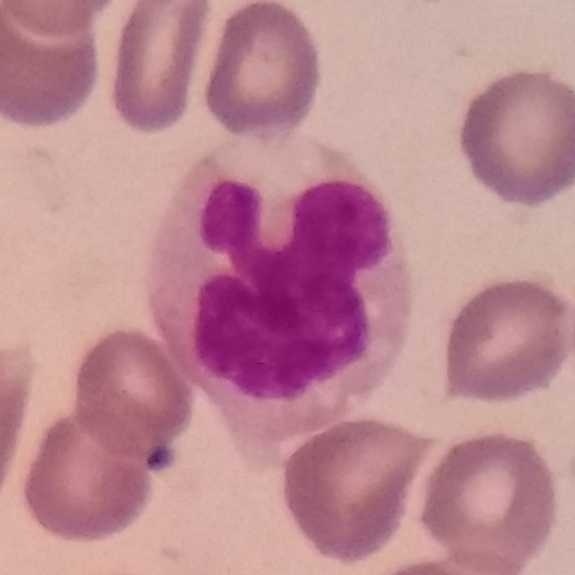 This is a monocyte.

Context: Peripheral blood smear.